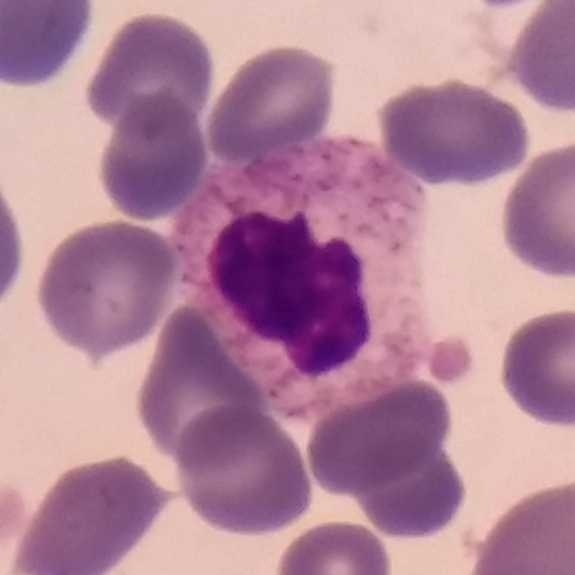

Specimen: peripheral blood film.
Morphological class: neutrophilic granulocyte.
Lineage: myeloid.